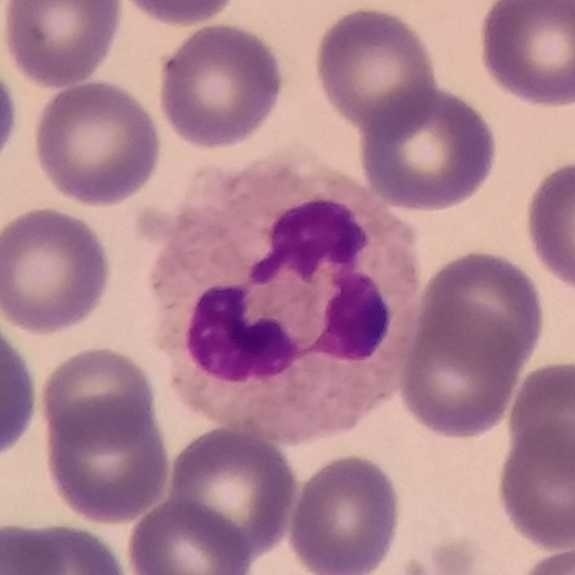Impression → neutrophil granulocyte. Context: Peripheral blood smear.